100× magnification. Peripheral blood smear:
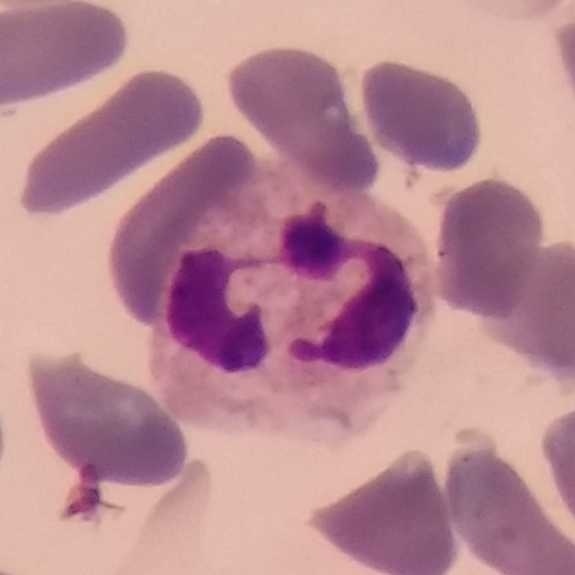 Q: Classify this leukocyte.
A: Neutrophil.